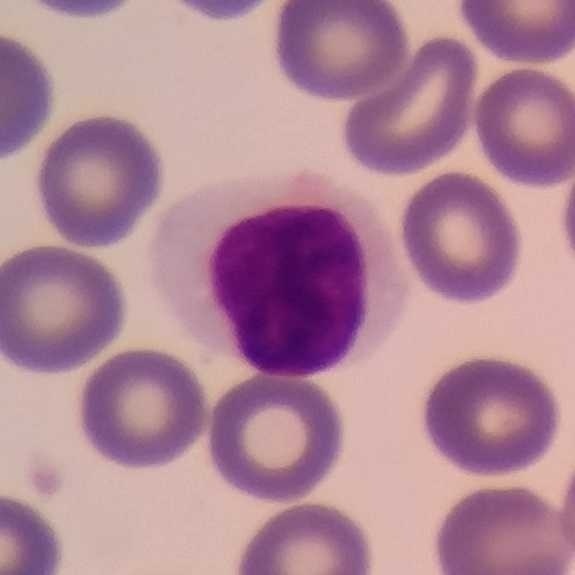 The cell shown is a lymphocyte.